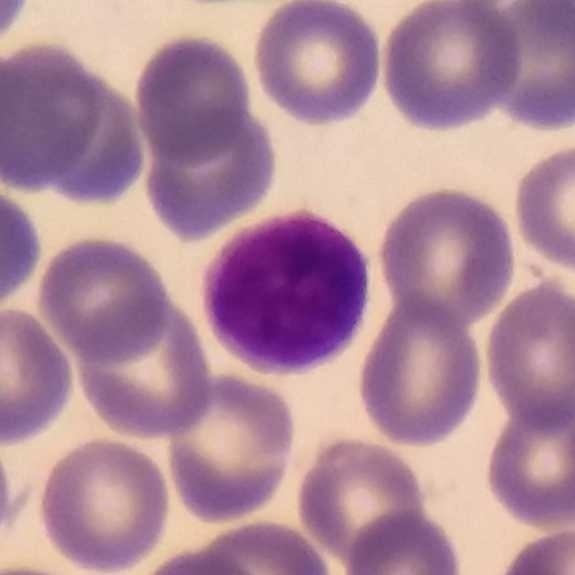
Q: Identify the cell.
A: This is a lymphocyte.

Context: Peripheral blood film.